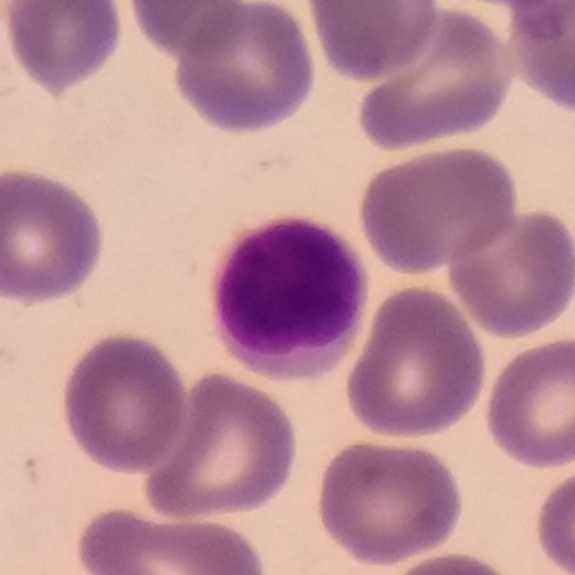 Preparation: Peripheral blood smear. The cell shown is a lymphocyte.